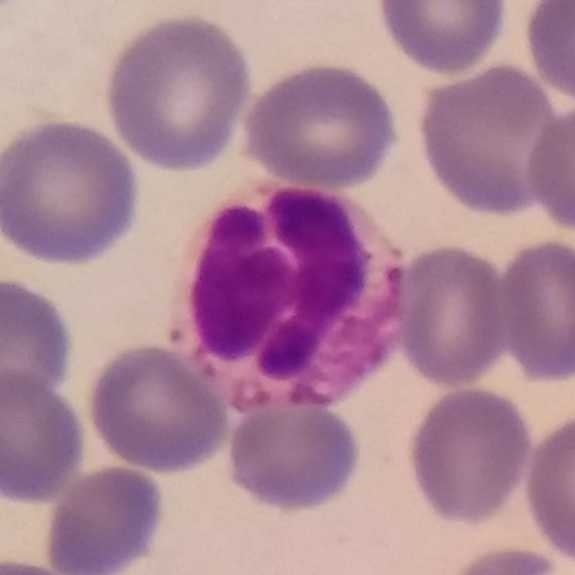

Preparation: Peripheral blood film; single white blood cell cropped from the smear photograph. A neutrophil granulocyte.